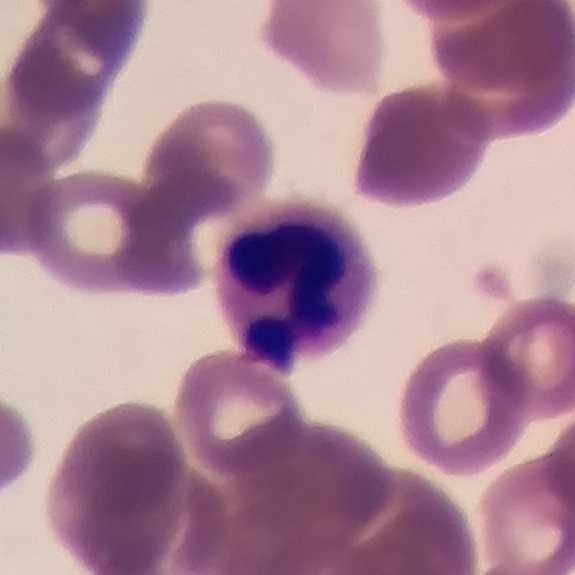Neutrophilic granulocyte.
Peripheral blood smear; smartphone photomicrograph.